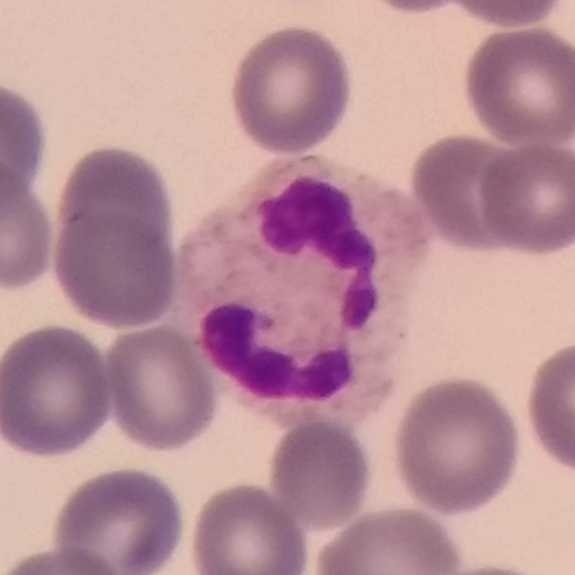 Acquisition: Giemsa-stained.

Specimen: peripheral blood smear.
White blood cell type: neutrophilic granulocyte.
Lineage: myeloid.